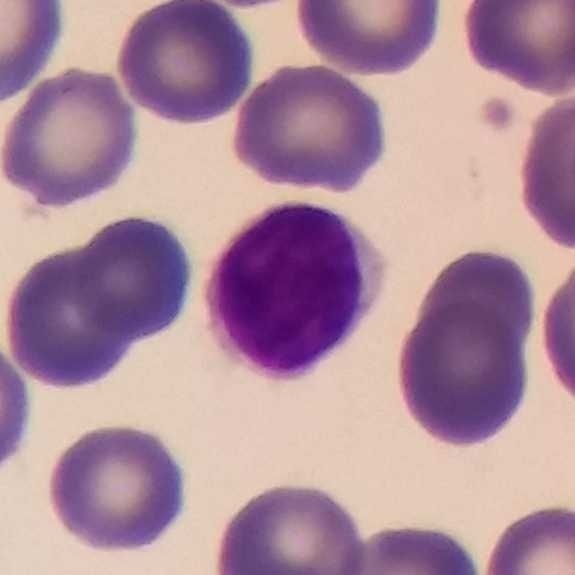
Morphology consistent with a lymphocyte.